Smartphone camera mounted on the microscope eyepiece · single white blood cell cropped from the smear photograph · peripheral blood smear
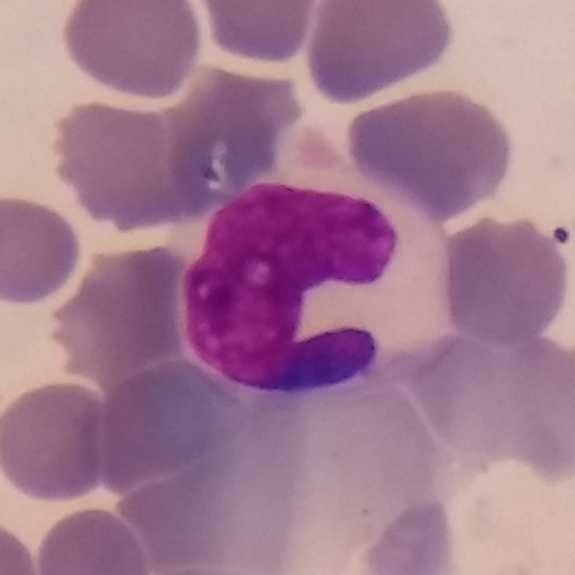 {"cell_type": "monocyte", "lineage": "myeloid"}